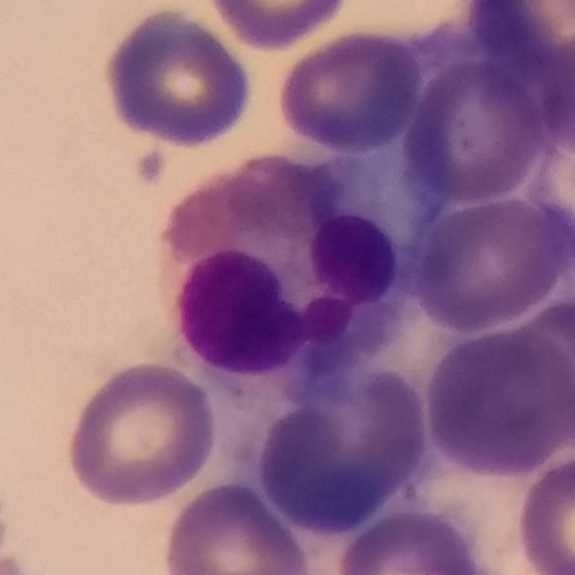An eosinophilic granulocyte.